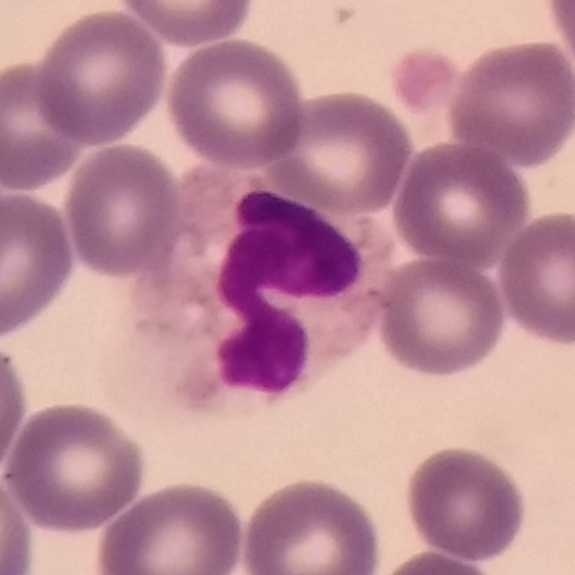 Specimen: peripheral blood smear.
White blood cell type: neutrophilic granulocyte.

Preparation: Stained with Giemsa; imaged at 100×.